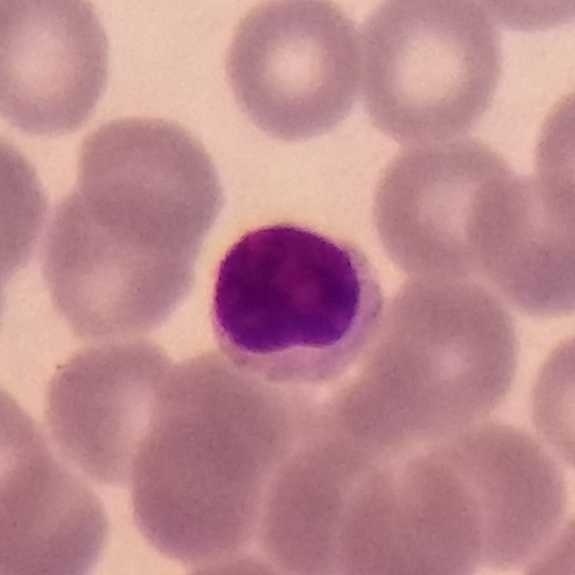

Identified as a lymphocyte.
Context: Smartphone camera mounted on the microscope eyepiece; stained with Giemsa; peripheral blood smear.